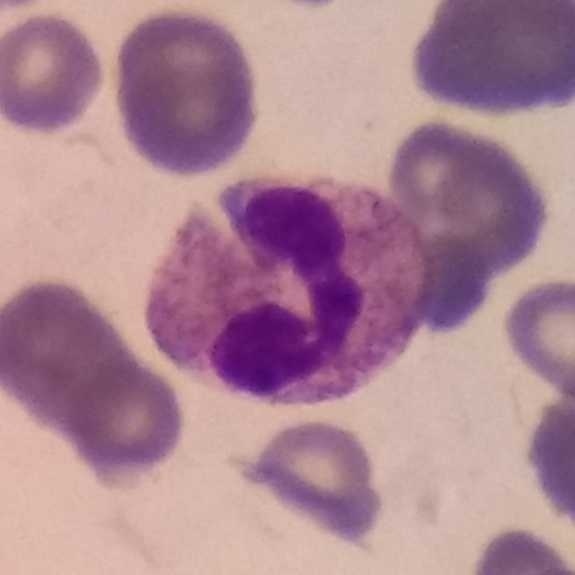

Morphology → neutrophil granulocyte.

Preparation: Peripheral blood smear.